575×575; peripheral blood film — 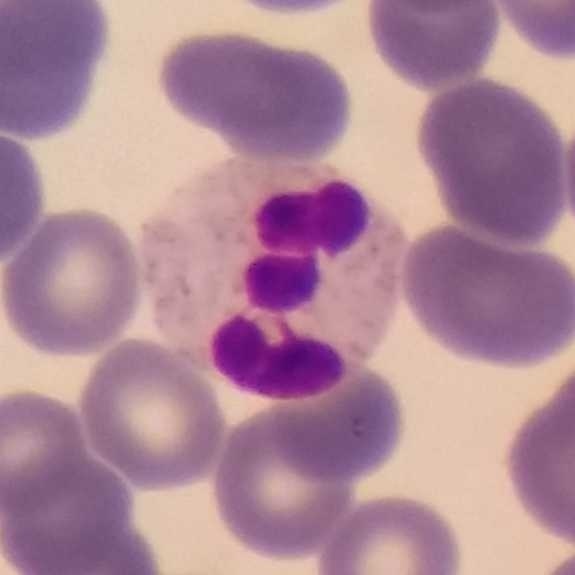

Classification — neutrophil granulocyte.